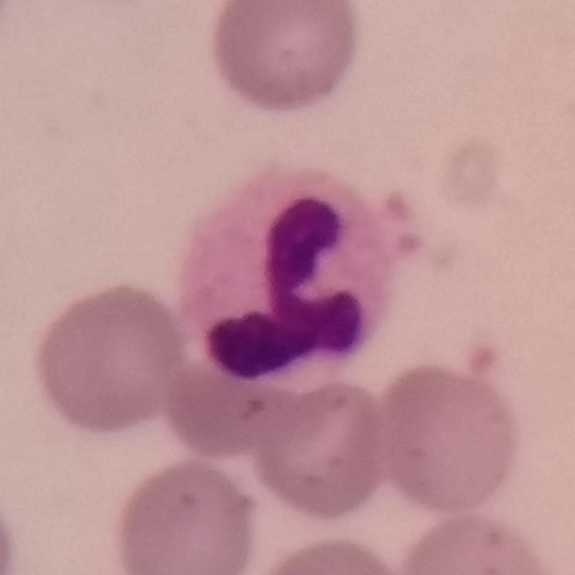
Q: What is this?
A: A neutrophil.
Image size 575×575. Peripheral blood smear. Magnification 100×.